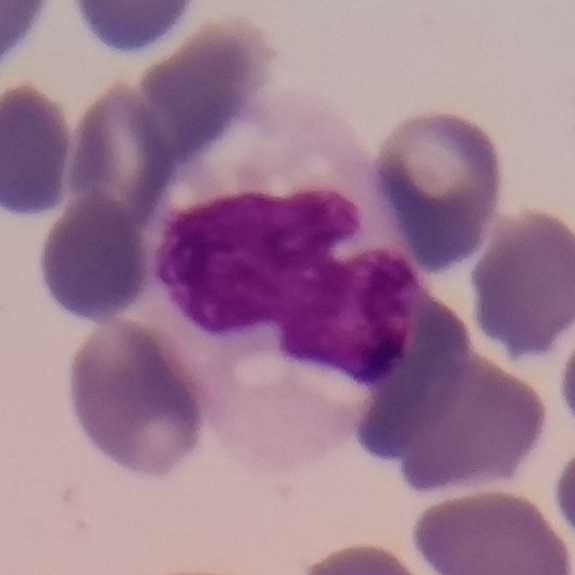 Peripheral blood smear · stained with Giemsa. Morphological class — monocyte.